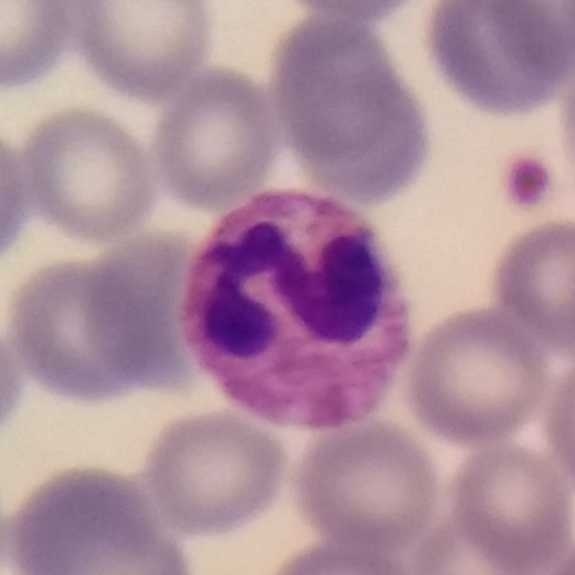Single-cell crop from a peripheral blood smear: neutrophil.